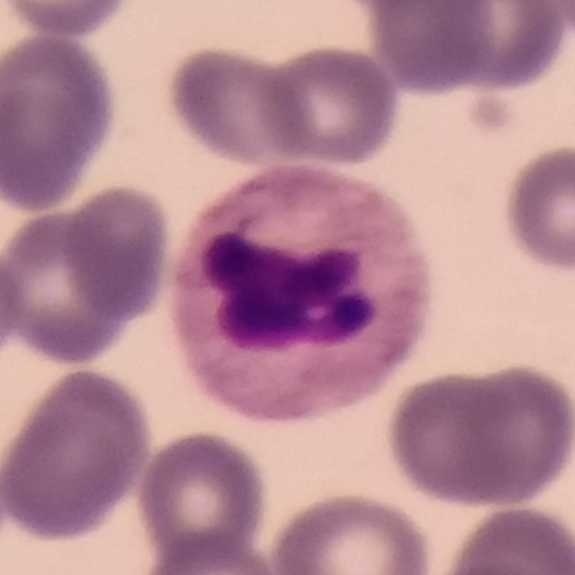

Q: Classify this leukocyte.
A: A neutrophil granulocyte.